Peripheral blood smear: 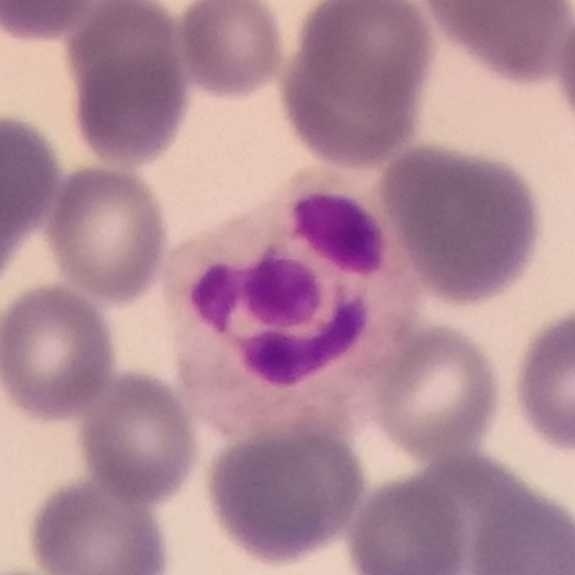 Q: What is the morphological classification of this cell?
A: Neutrophil.